Peripheral blood smear — 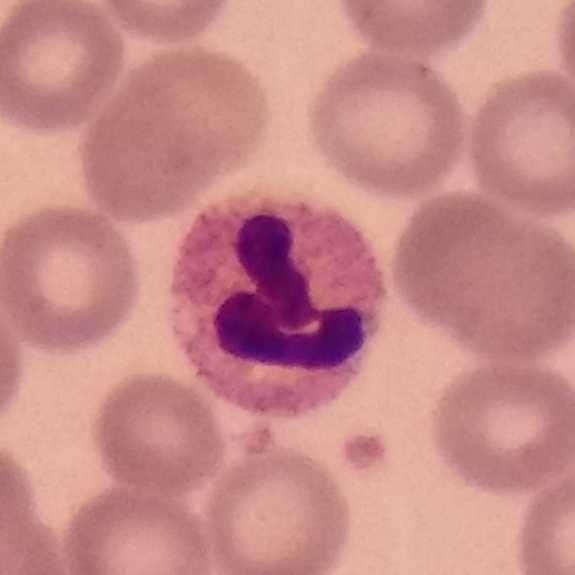

Q: Classify this leukocyte.
A: It is a neutrophil granulocyte.